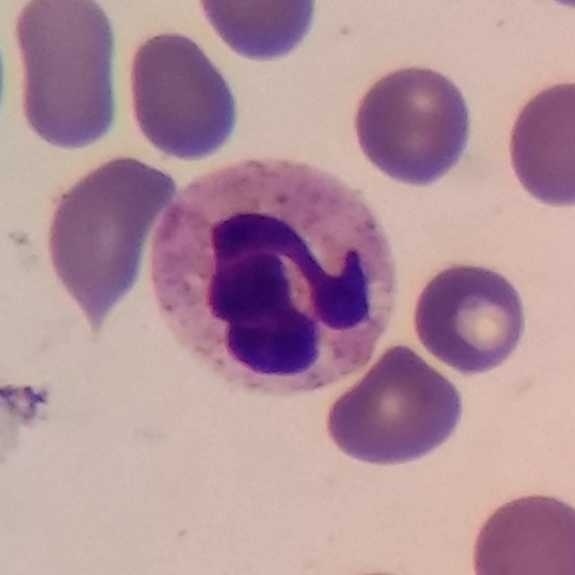
Single-cell crop from a peripheral blood smear: neutrophil.